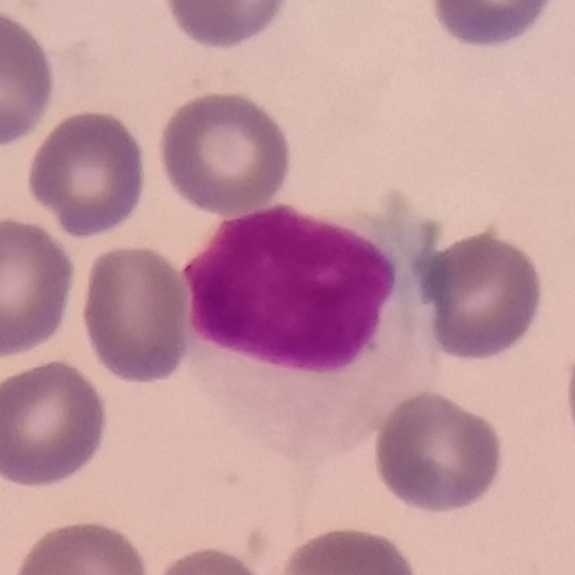

The cell shown is a lymphocyte.